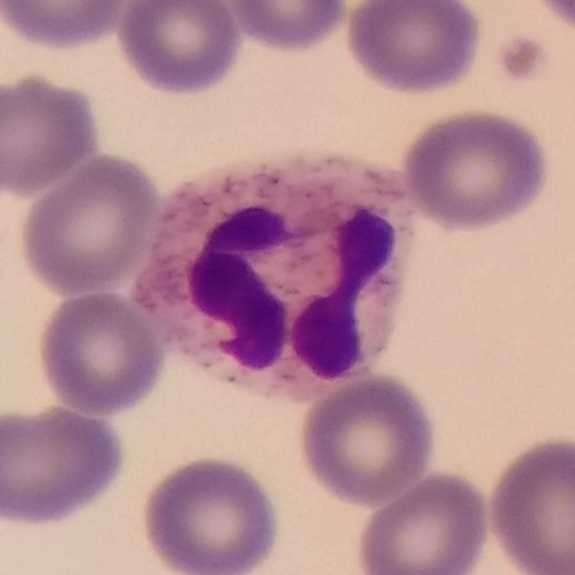Identified as a neutrophilic granulocyte.